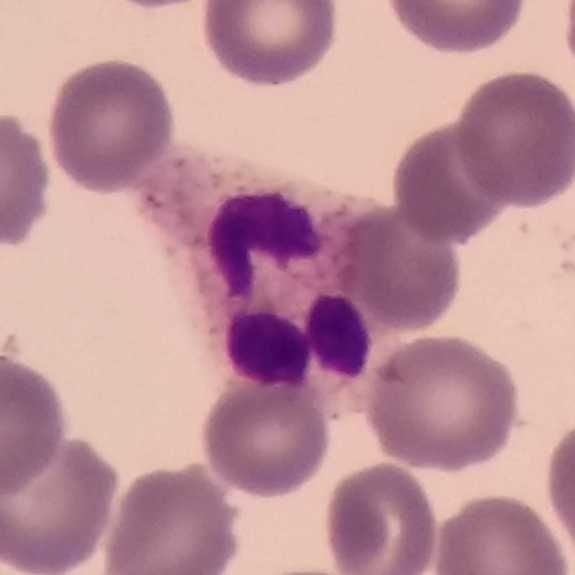
Cell = neutrophilic granulocyte.